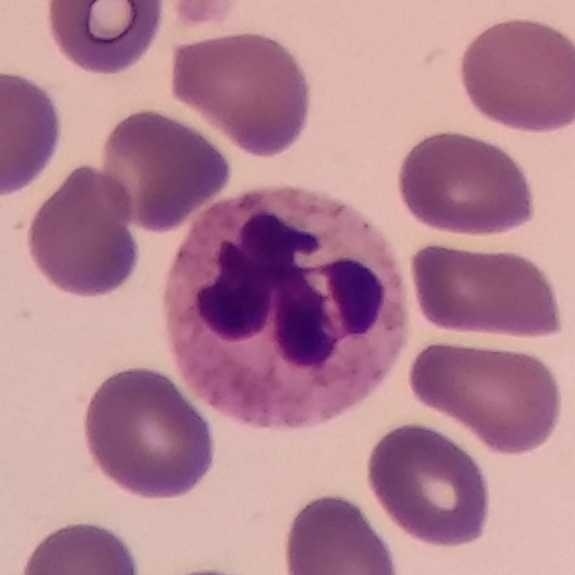
Preparation: 575×575 px; peripheral blood film; phone-camera image taken through the microscope ocular. Showing a neutrophil.